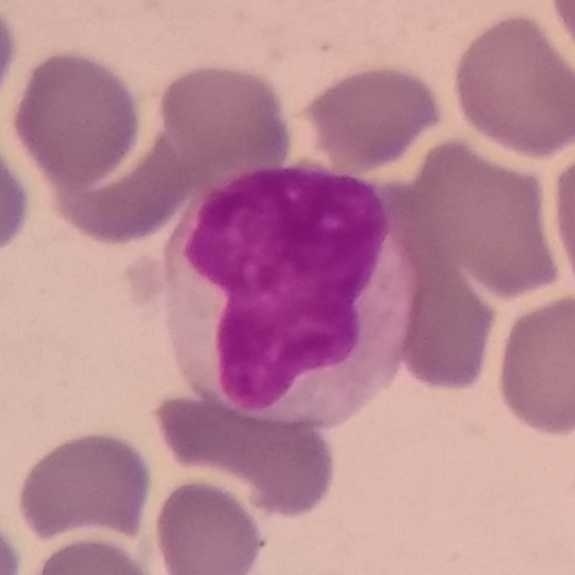

Image: Peripheral blood smear.

Showing a monocyte.